Giemsa-stained. Peripheral blood film:
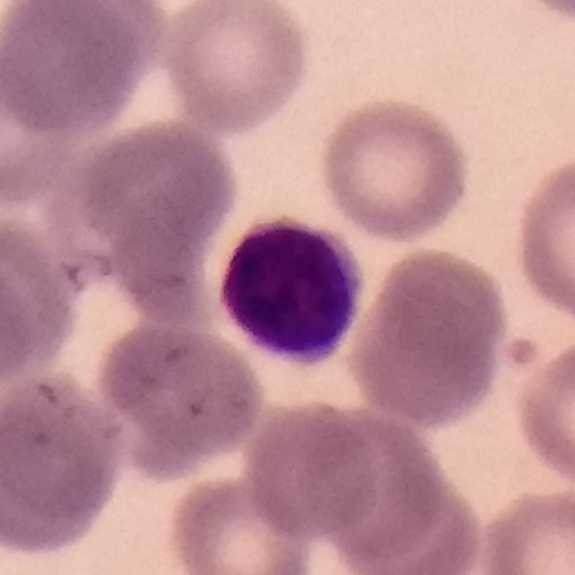

Classification = lymphocyte.